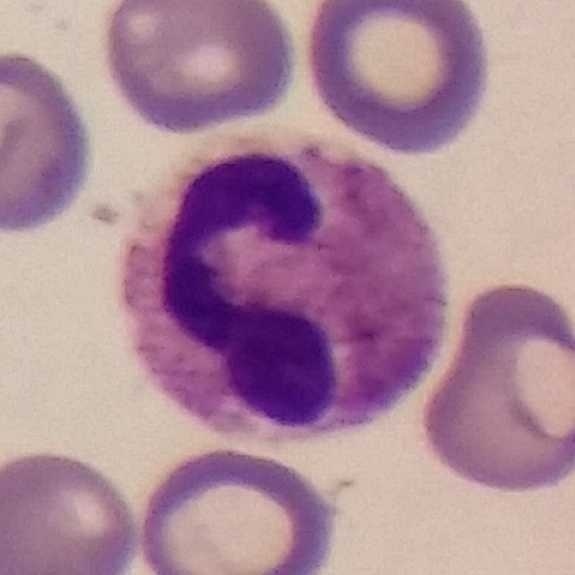

{"cell_type": "neutrophilic granulocyte", "lineage": "myeloid"}